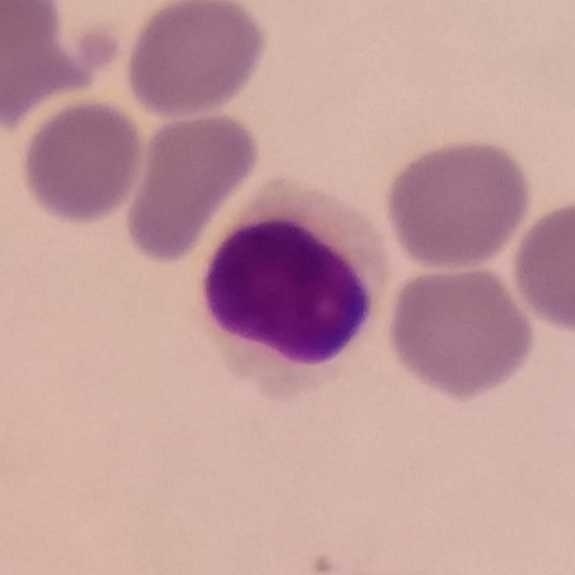Impression → lymphocyte.
Peripheral blood film.